Peripheral blood smear:
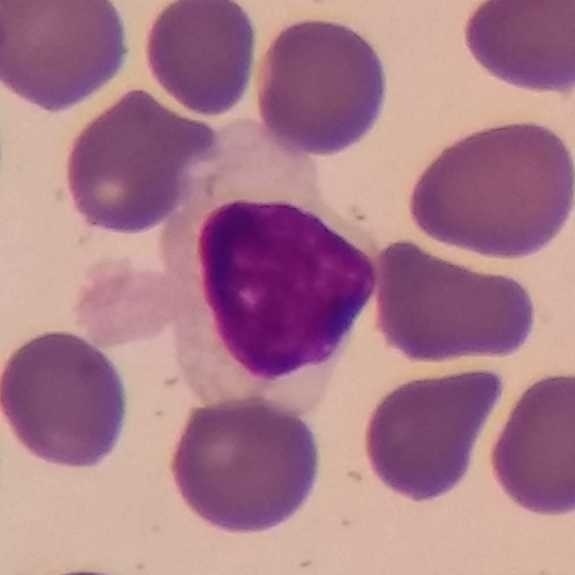Classification — lymphocyte.